575 by 575 pixels. Peripheral blood smear — 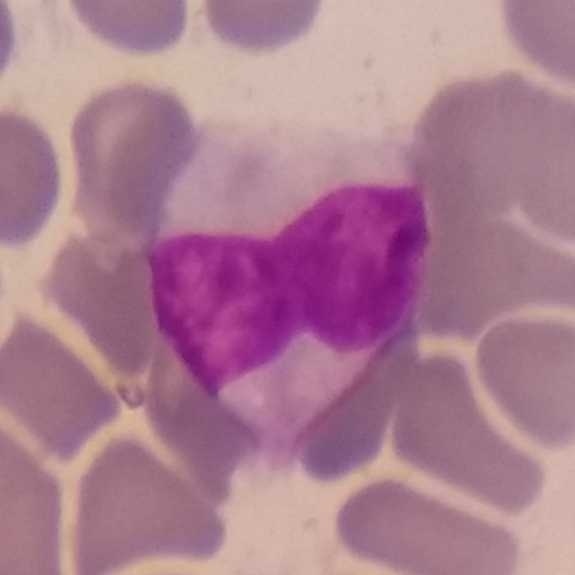
{"cell_type": "monocyte"}